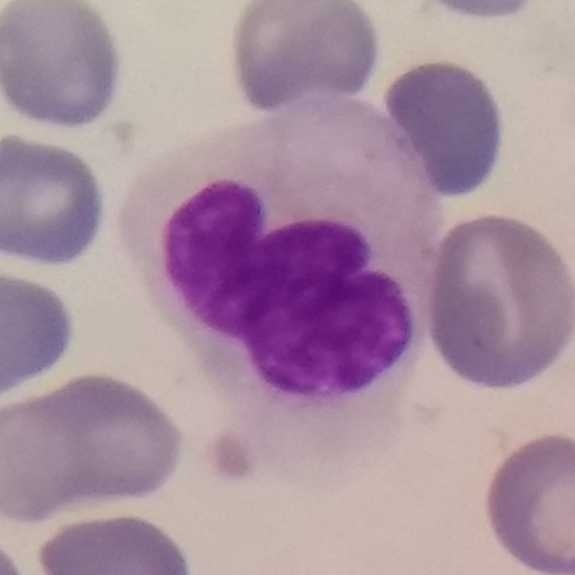Specimen: peripheral blood smear.
White blood cell type: monocyte.
Lineage: myeloid.